Peripheral blood smear · 575×575:
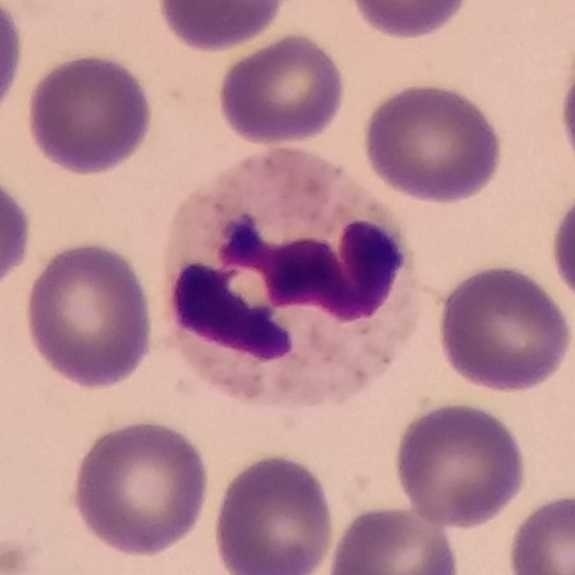 Morphological class: neutrophilic granulocyte.